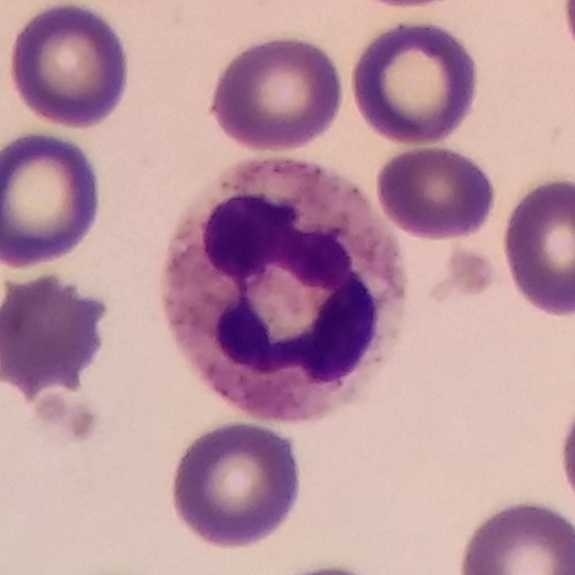Morphological class = neutrophilic granulocyte.